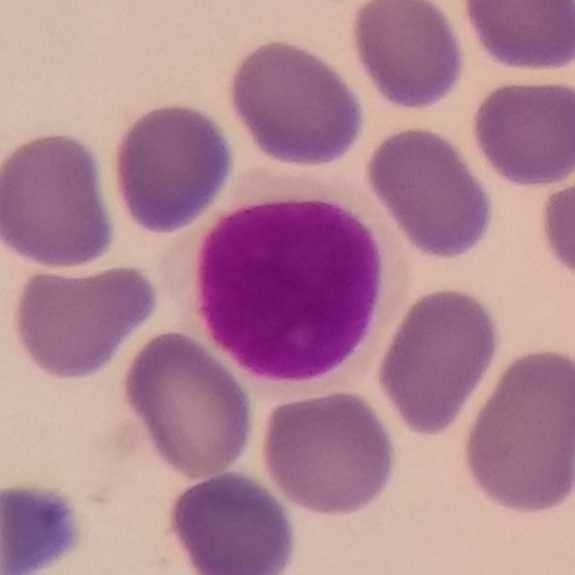 Showing a lymphocyte.